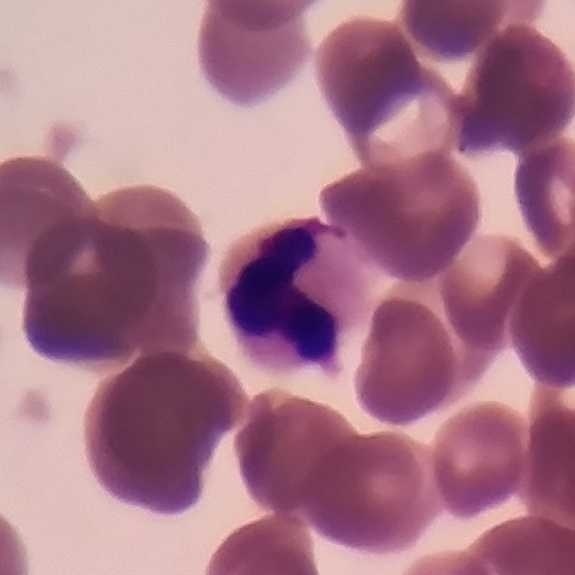Acquisition: Peripheral blood smear.
Single cell identified as a neutrophil.